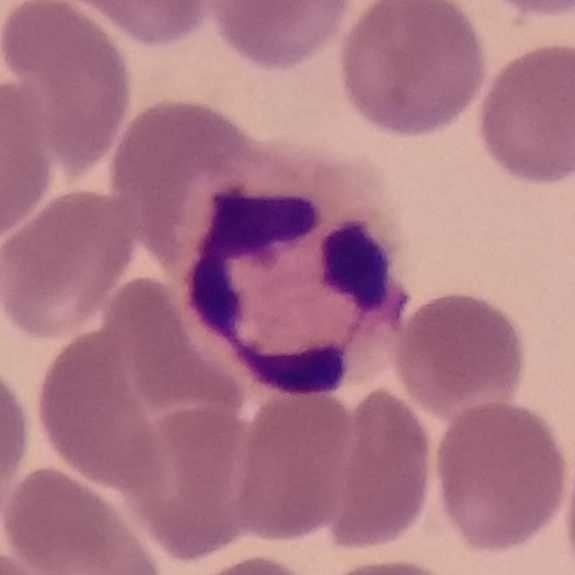

Preparation: Stained with Giemsa. Peripheral blood film.

Cell = neutrophilic granulocyte.